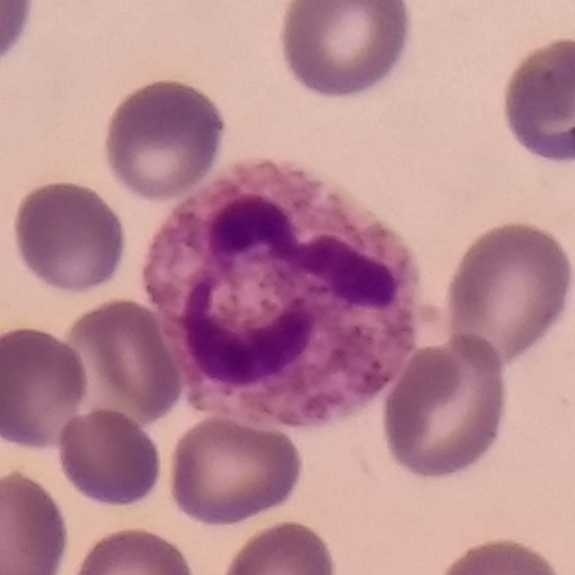

Peripheral blood film.
Q: What is shown here?
A: This is a neutrophil granulocyte.